Peripheral blood smear. Phone-camera image taken through the microscope ocular — 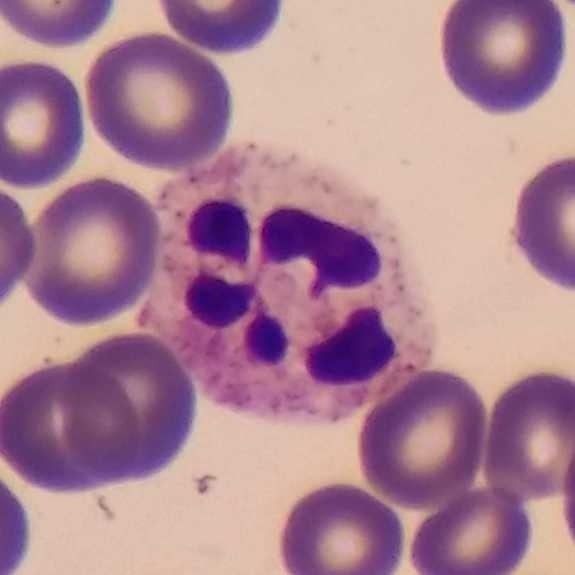 Impression — neutrophilic granulocyte.